Peripheral blood smear: 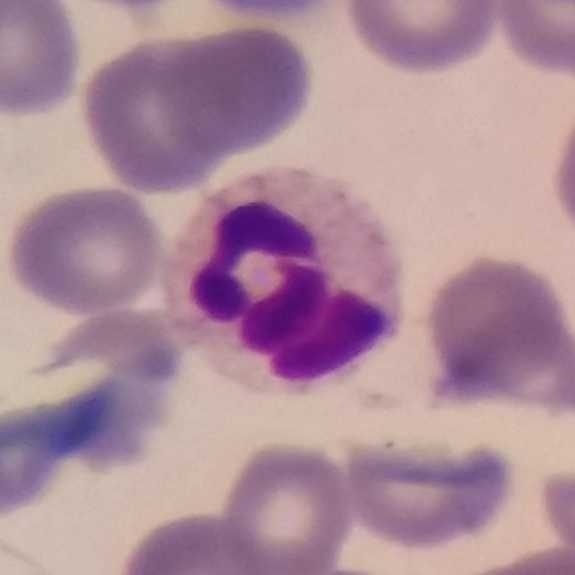{"cell_type": "neutrophil granulocyte", "lineage": "myeloid"}